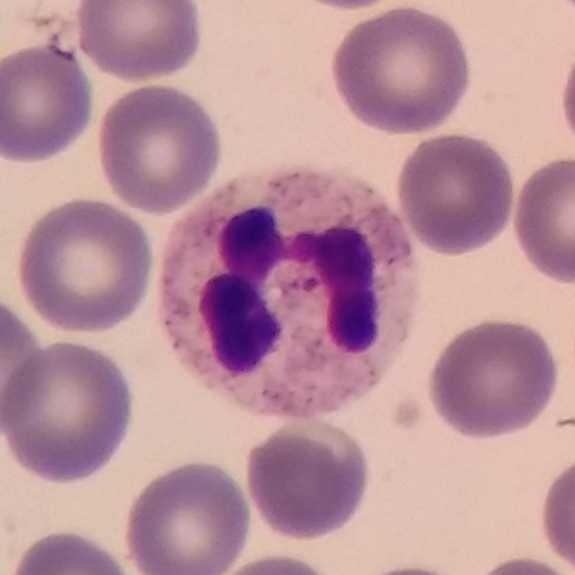 Q: What cell is this?
A: This is a neutrophil.
Preparation: Peripheral blood smear; single white blood cell cropped from the smear photograph.